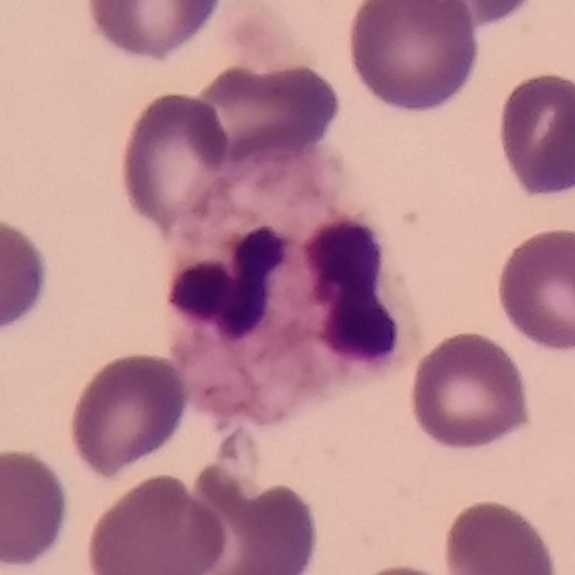

Showing a neutrophil granulocyte. Preparation: Stained with Giemsa · peripheral blood smear.